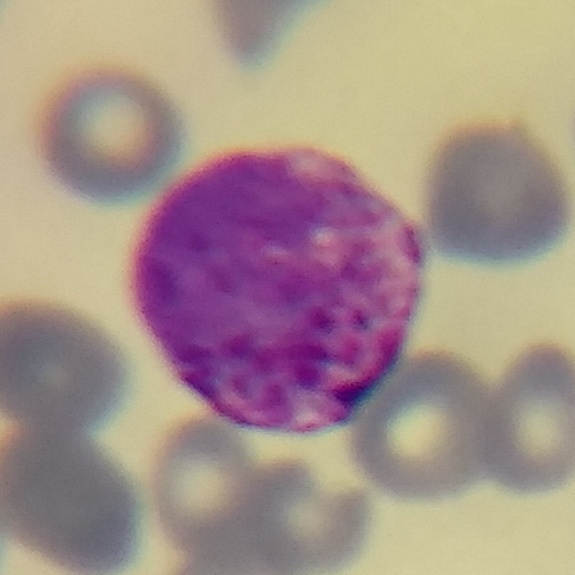

Morphological class = basophil.